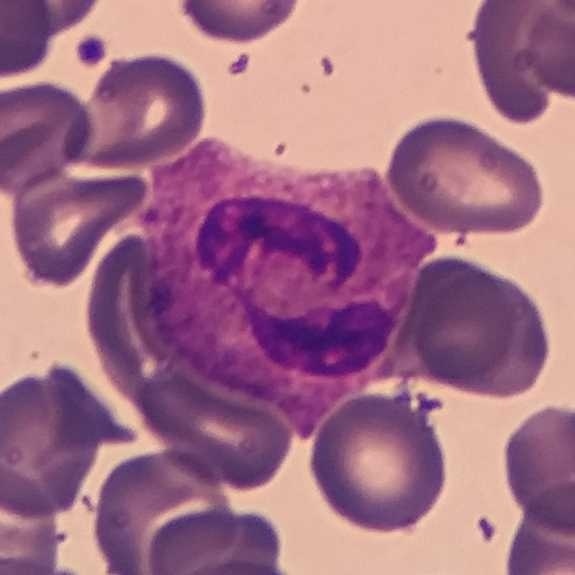A neutrophilic granulocyte on a peripheral blood smear.